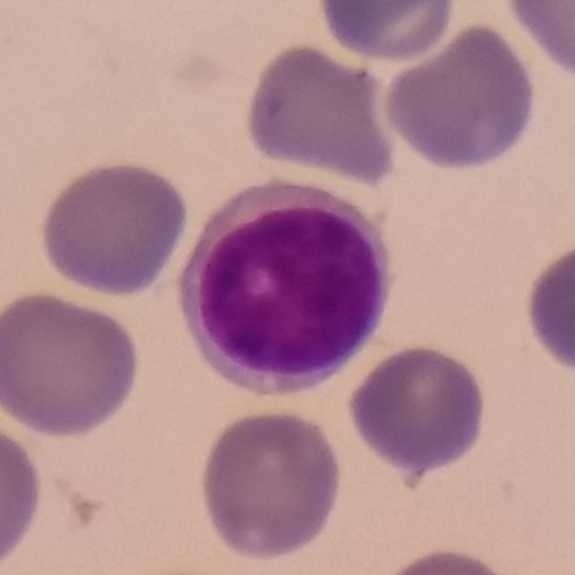

White blood cell from a peripheral blood smear: lymphocyte.